Peripheral blood film · phone-camera image taken through the microscope ocular · single-cell field:
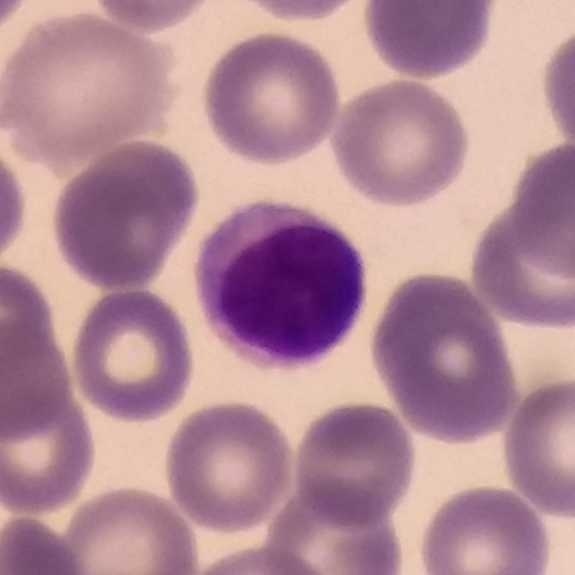Specimen: peripheral blood film.
Morphological class: lymphocyte.